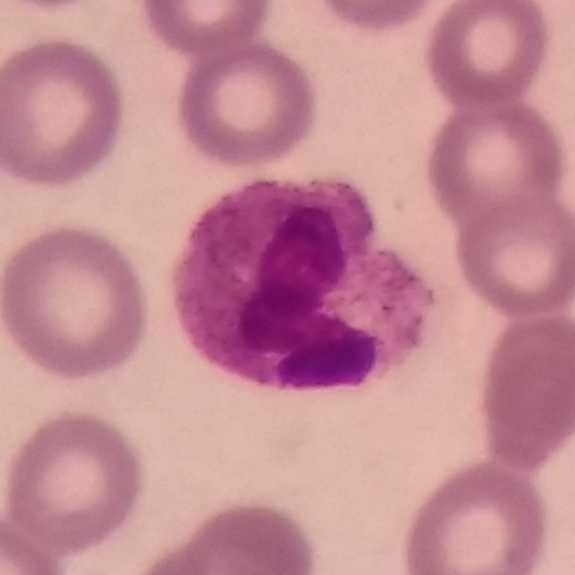Specimen: peripheral blood film.
Cell type: neutrophil granulocyte.
Lineage: myeloid.